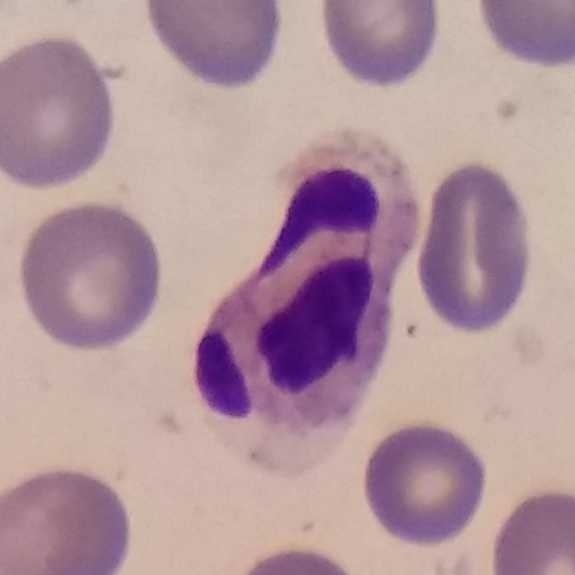Preparation: Peripheral blood smear.

Morphology consistent with a neutrophil granulocyte.